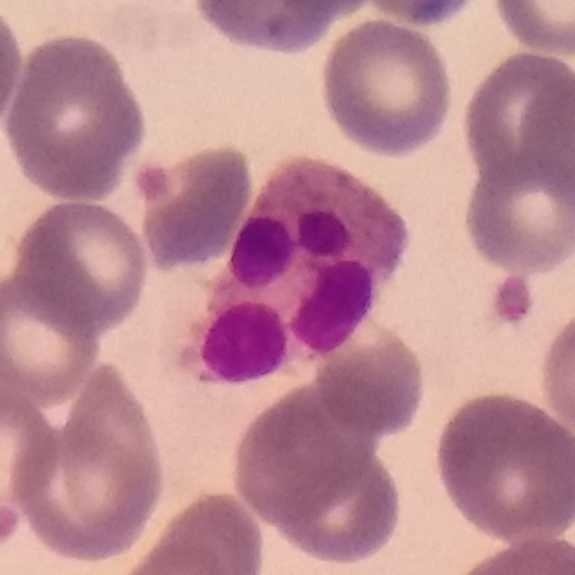 Context: Peripheral blood smear. A neutrophil granulocyte.